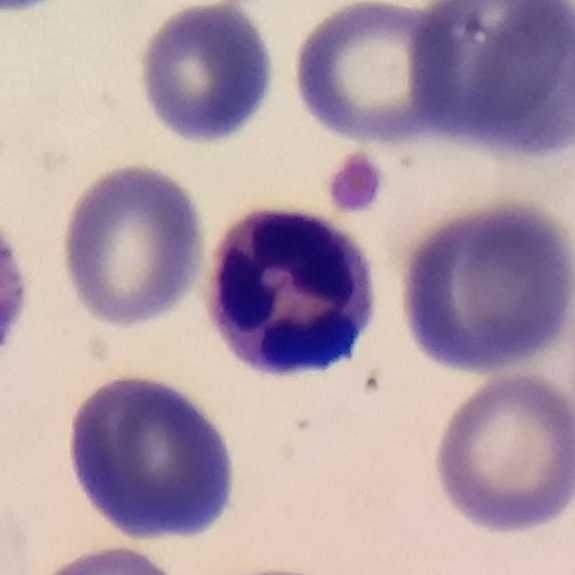 Peripheral blood smear. Q: Classify this leukocyte.
A: Neutrophilic granulocyte.